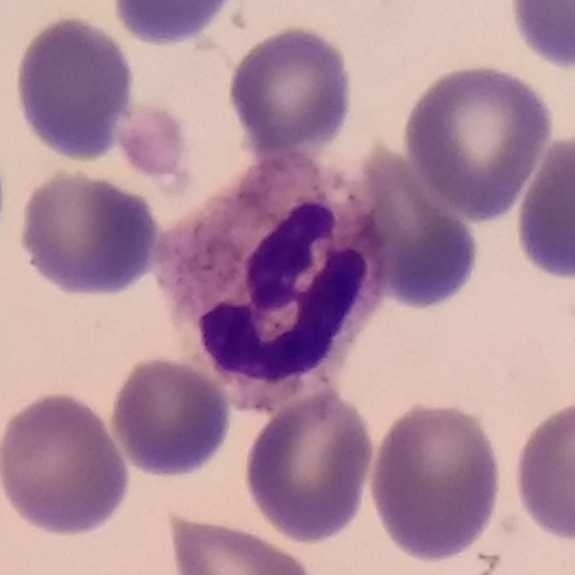Q: Identify the cell.
A: This is a neutrophil.